Photographed through a light microscope with a smartphone camera · peripheral blood smear.
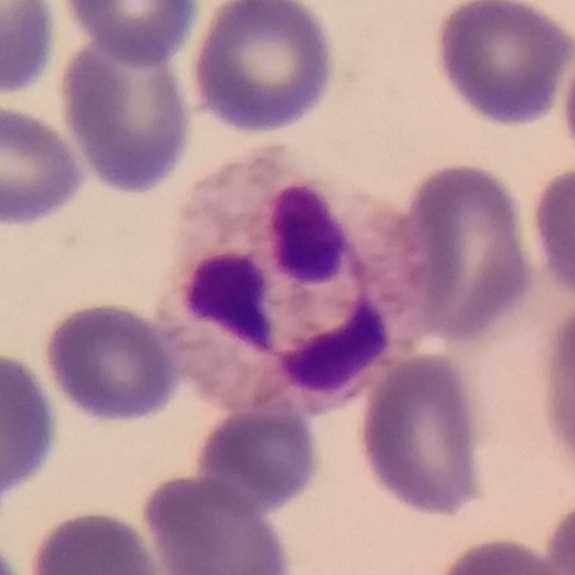
Neutrophil.